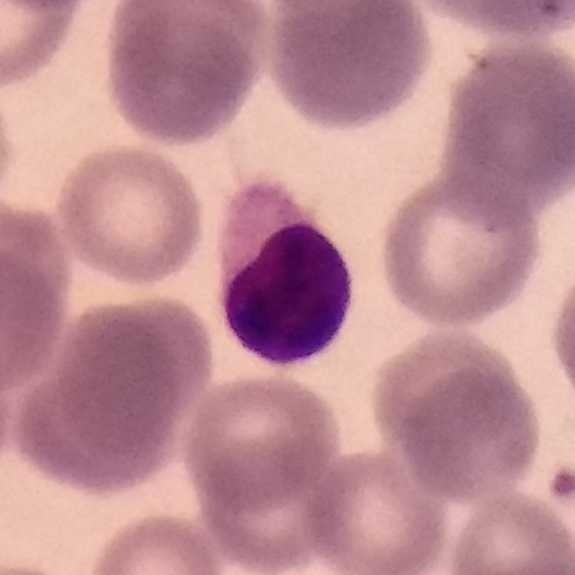Identified as a lymphocyte.

Peripheral blood film. Single-cell crop.